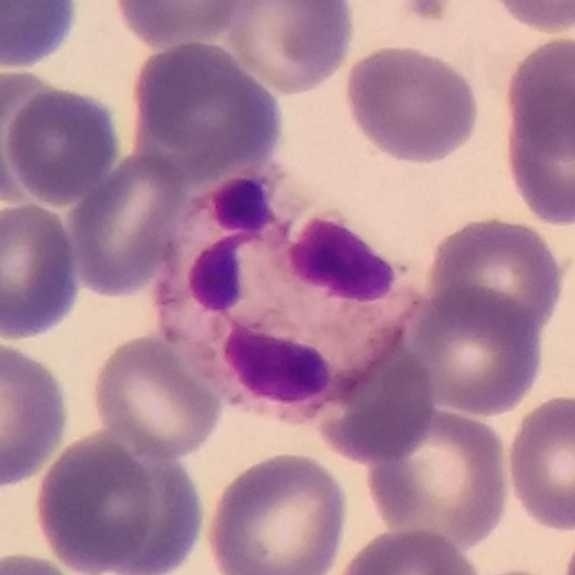

Acquisition: Peripheral blood film; stained with Giemsa.
The white blood cell type is neutrophilic granulocyte.